575×575 · smartphone camera mounted on the microscope eyepiece · peripheral blood smear:
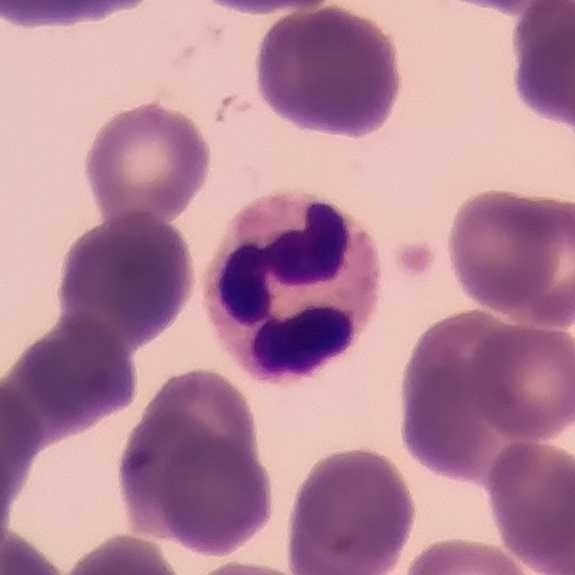 Q: Which cell type is shown here?
A: Neutrophil granulocyte.